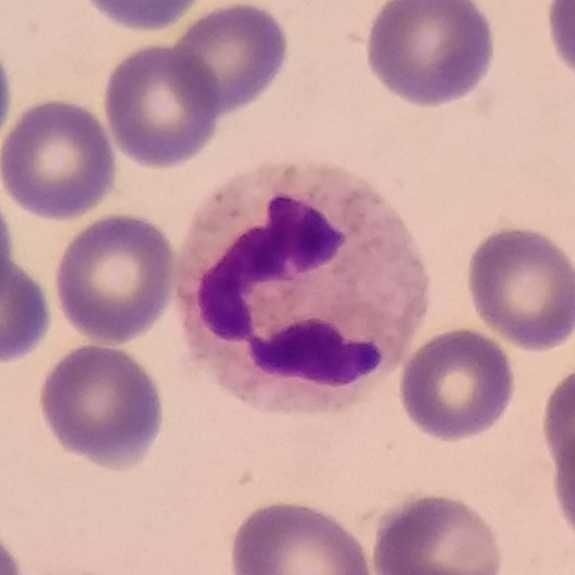Preparation: 100× magnification; peripheral blood smear.

Cell: neutrophil granulocyte.